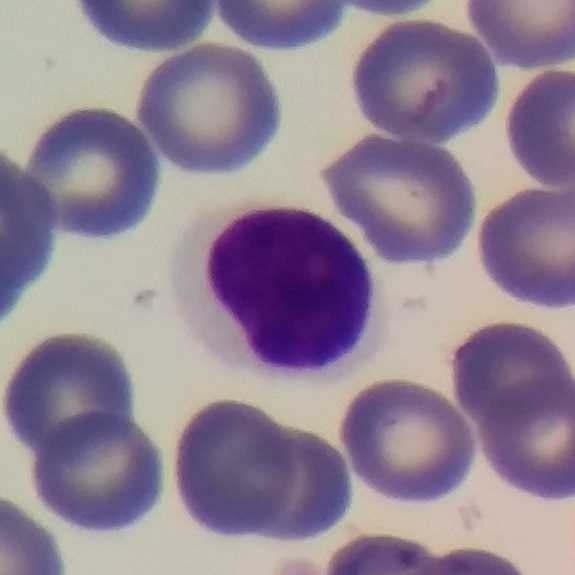

Lymphocyte.
Image: 575×575 px. Giemsa stain. Peripheral blood film.